Peripheral blood smear: 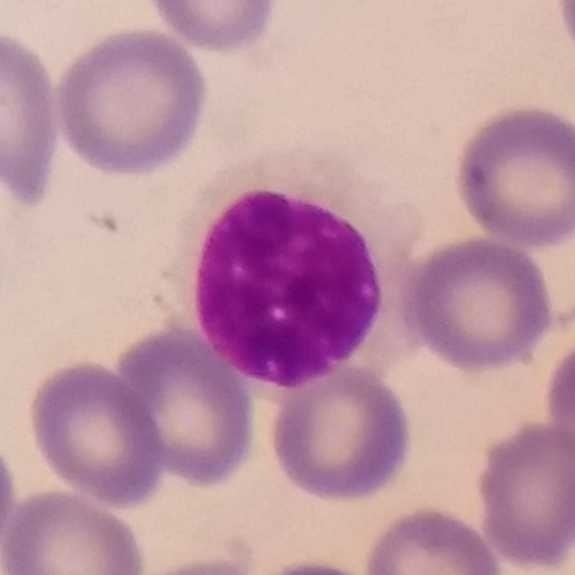 Morphology — lymphocyte.